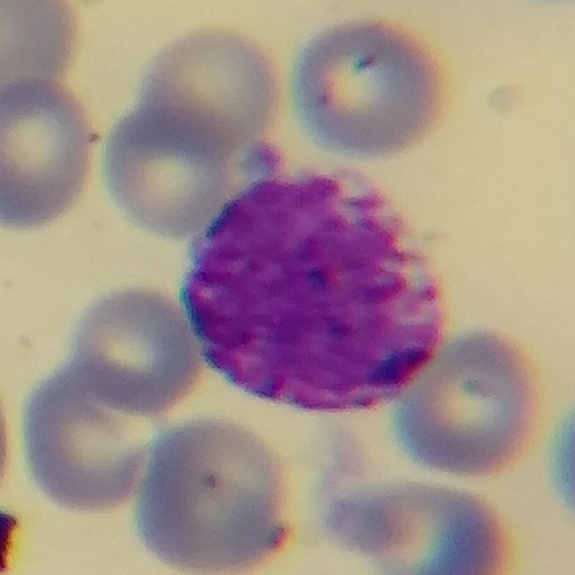Image: Peripheral blood film.

The white blood cell in this image is a basophilic granulocyte.